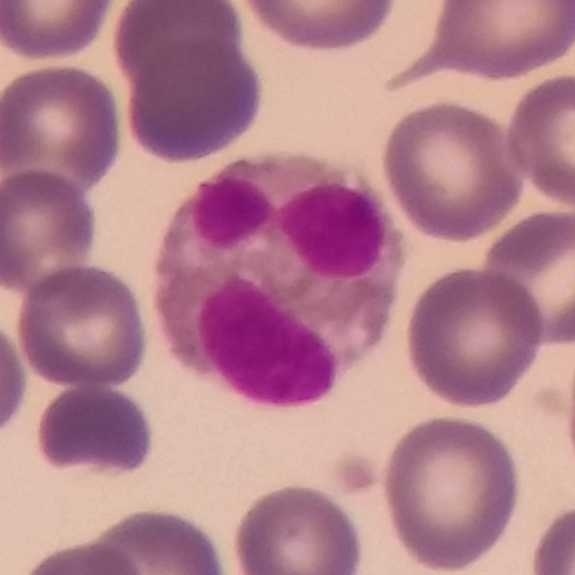The white blood cell type is eosinophil.